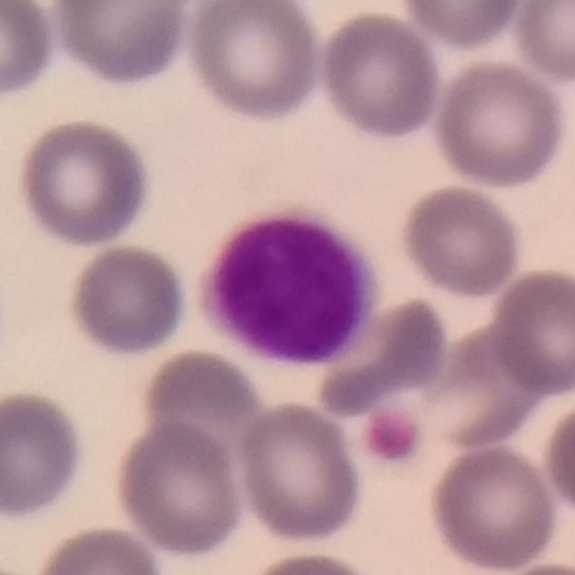Identified as a lymphocyte.

Image: Peripheral blood film.